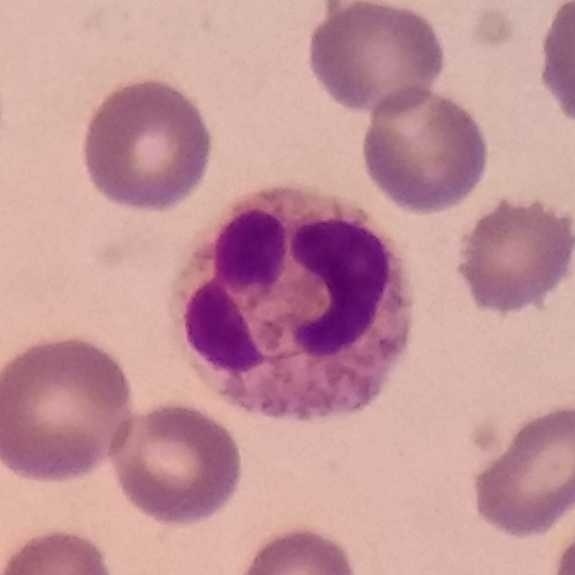

Showing a neutrophil granulocyte. Image: Image size 575×575 · single white blood cell cropped from the smear photograph · peripheral blood smear.